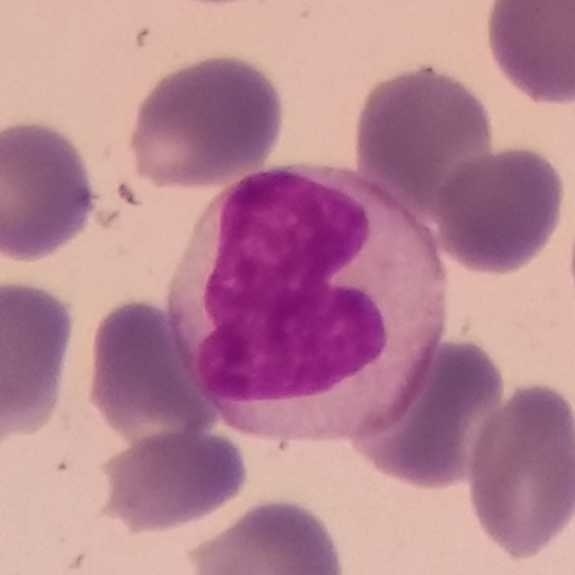
{"cell_type": "monocyte", "lineage": "myeloid"} Peripheral blood smear.